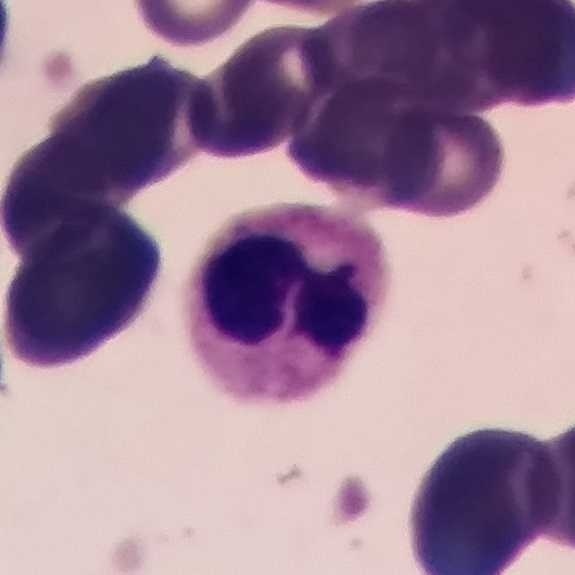 Impression → neutrophil.

Acquisition: Peripheral blood smear.